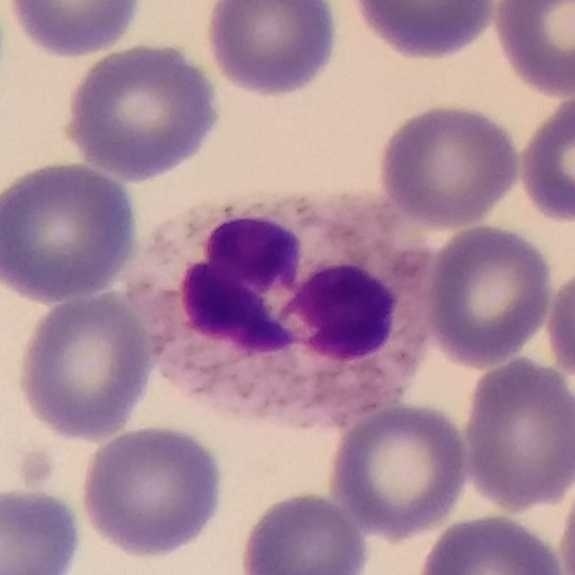

Context: Peripheral blood smear.
Classification — neutrophilic granulocyte.